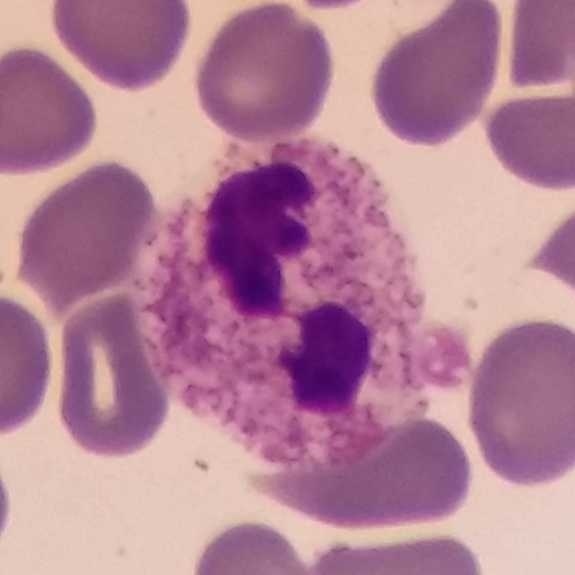

Preparation: Peripheral blood film.
White blood cell type — neutrophilic granulocyte.